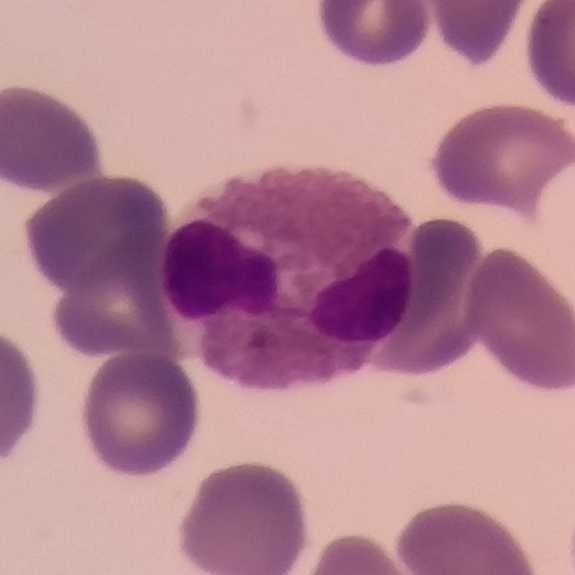

Specimen: peripheral blood smear.
White blood cell type: eosinophil.
Lineage: myeloid.
Context: Phone-camera image taken through the microscope ocular · stained with Giemsa.